Peripheral blood film
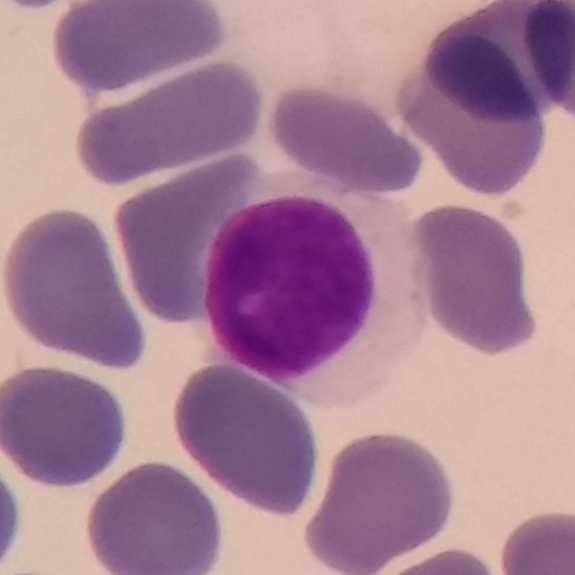

White blood cell type — lymphocyte.